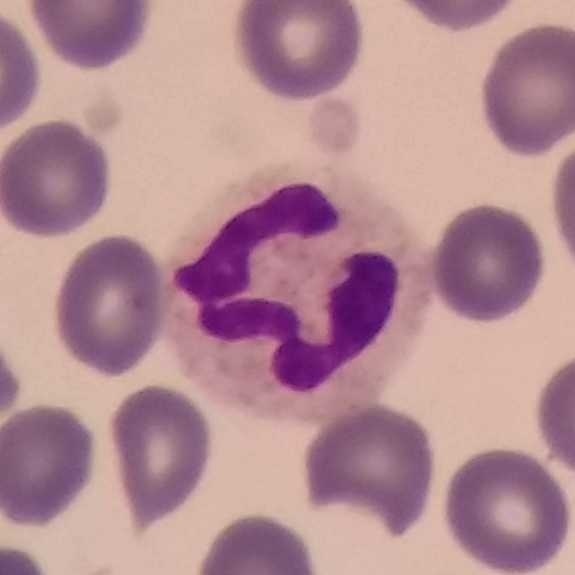 A neutrophilic granulocyte. Preparation: Peripheral blood smear.